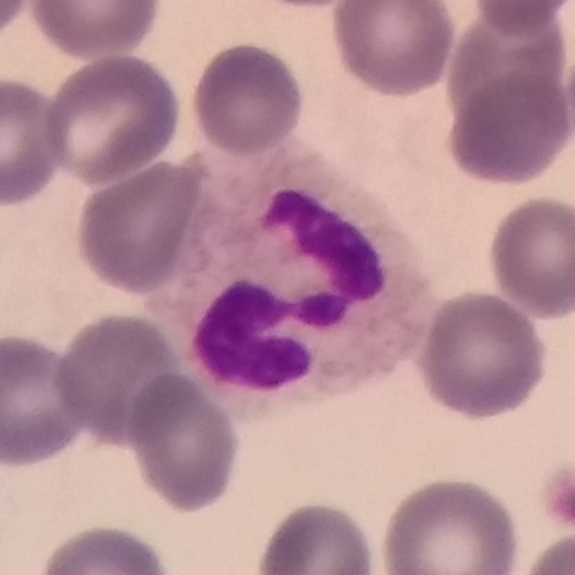

The cell type is neutrophil.
Acquisition: Peripheral blood smear · magnification 100×.